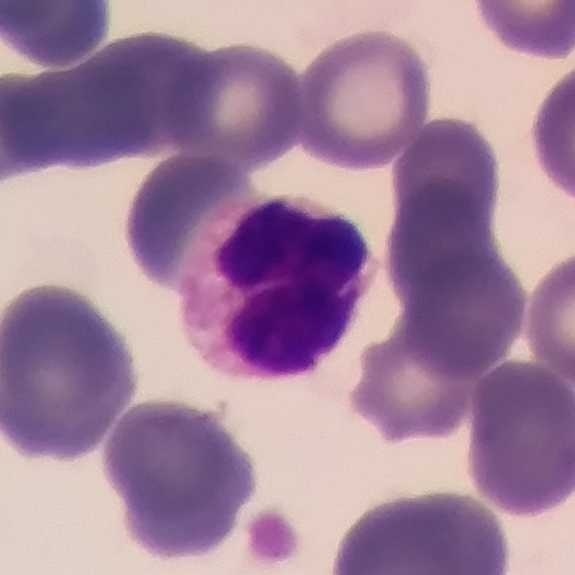

Peripheral blood smear · photographed through a light microscope with a smartphone camera.
Impression → neutrophil granulocyte.